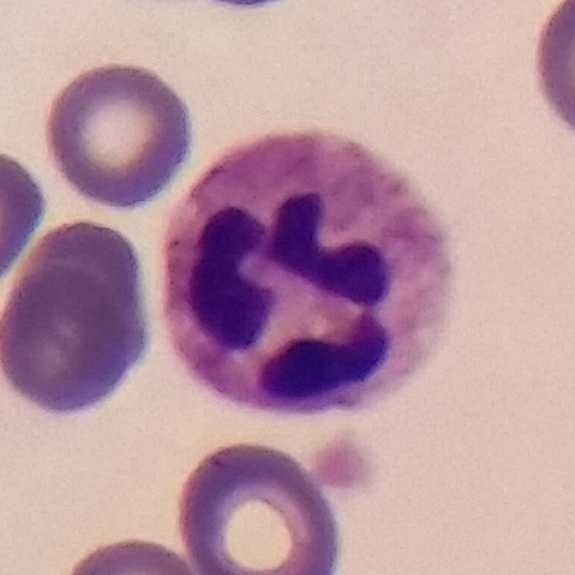
The classification is neutrophil granulocyte.
Peripheral blood film · smartphone camera mounted on the microscope eyepiece.